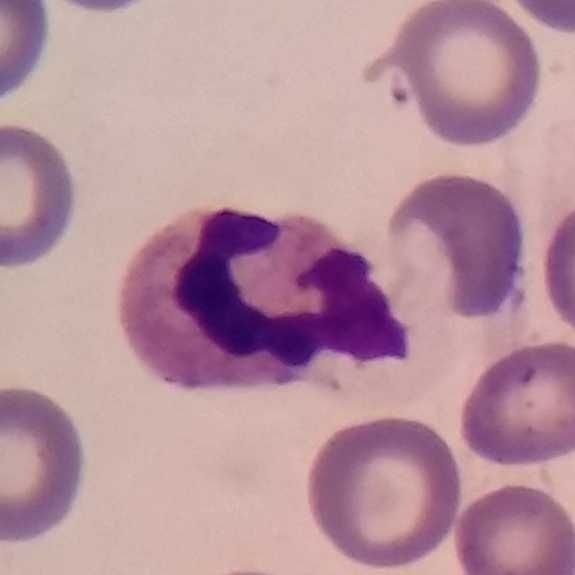
Specimen: peripheral blood smear.
Morphological class: neutrophil granulocyte.
Lineage: myeloid.